Peripheral blood smear — 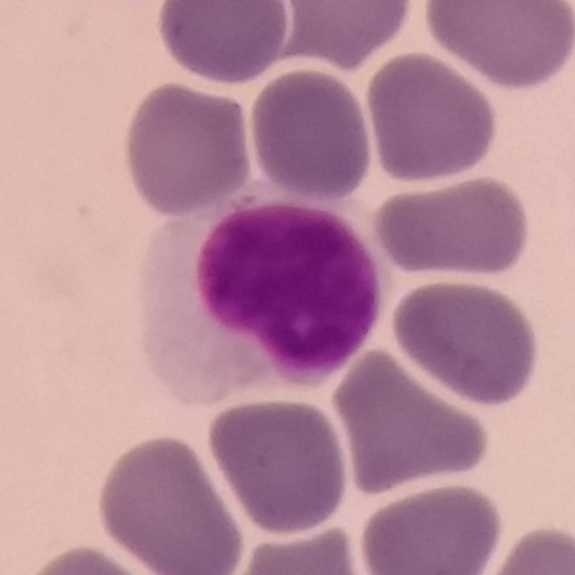

The classification is lymphocyte.